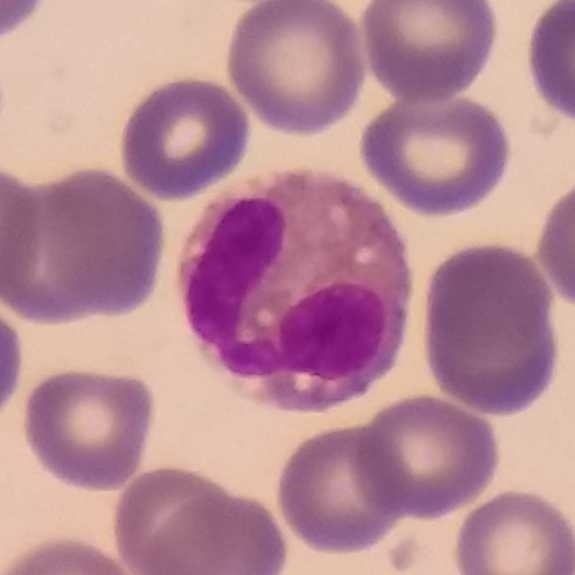 Q: Classify this leukocyte.
A: An eosinophilic granulocyte. Image: Peripheral blood smear. Giemsa-stained.